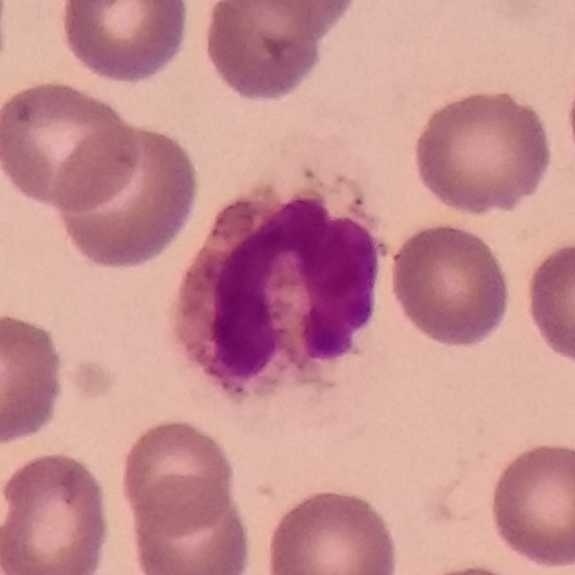

A neutrophil granulocyte on a peripheral blood smear.